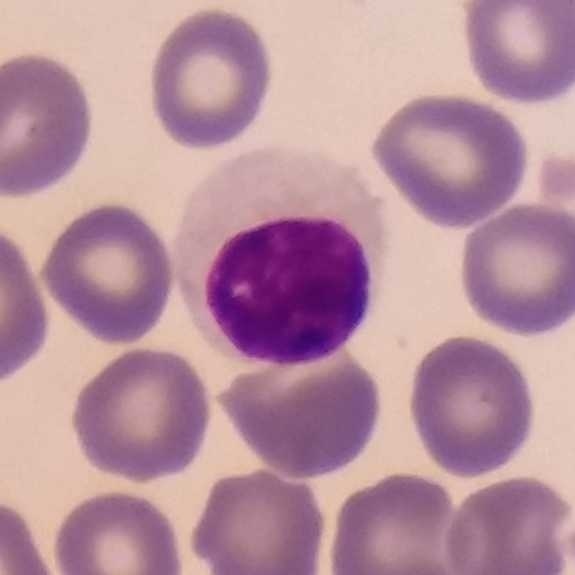{"cell_type": "lymphocyte", "lineage": "lymphoid"}